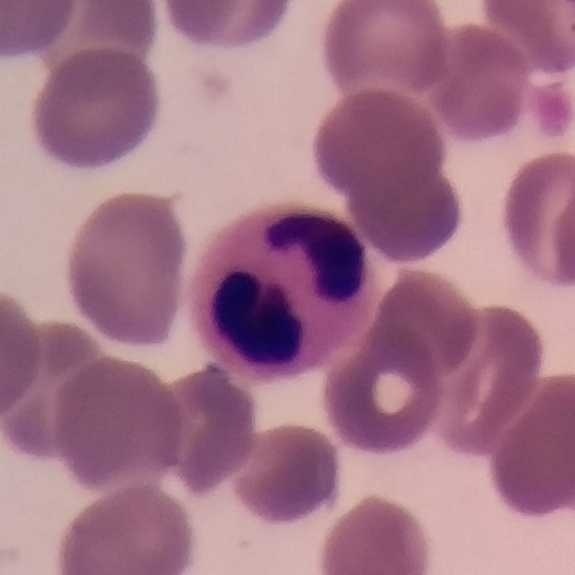 {"cell_type": "neutrophil granulocyte", "lineage": "myeloid"} Peripheral blood film · phone-camera image taken through the microscope ocular.